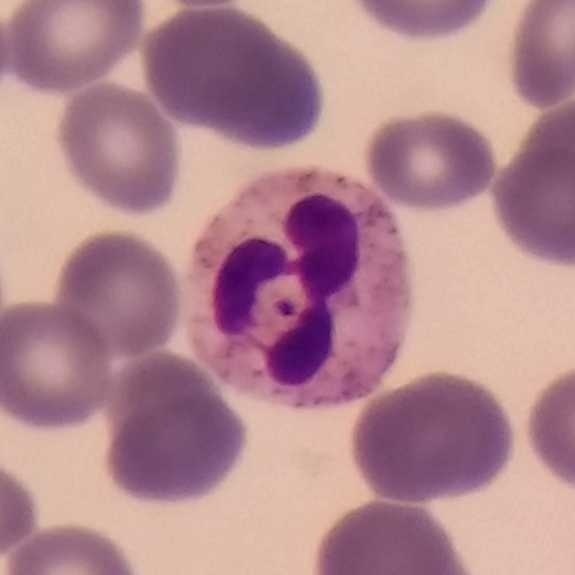
This is a neutrophil granulocyte. Image: Peripheral blood film · Giemsa-stained.